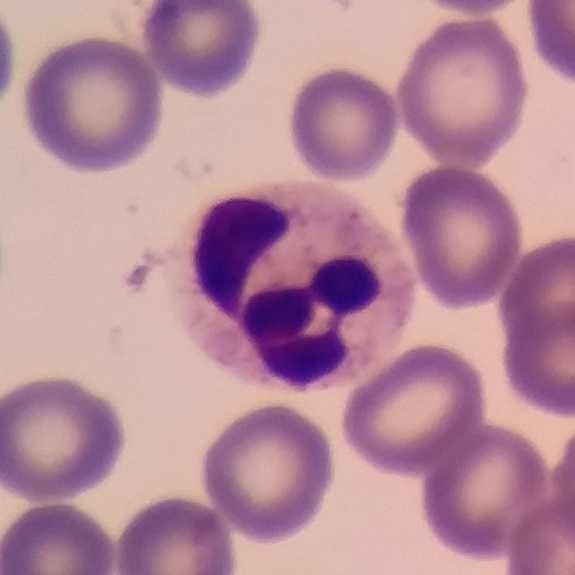Morphology consistent with a neutrophilic granulocyte. Context: Single-cell crop. Peripheral blood film.